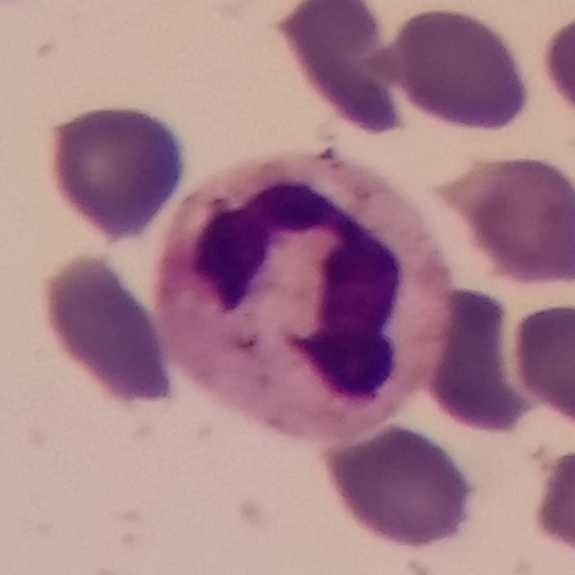

Morphology → neutrophil. Image: Peripheral blood film.